Peripheral blood film.
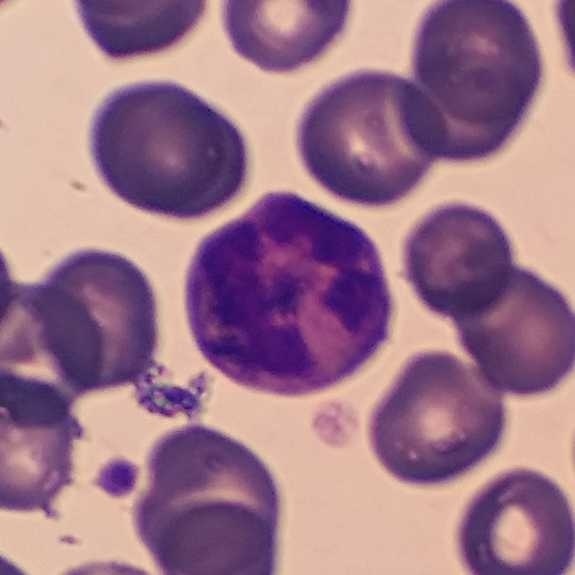{"cell_type": "neutrophilic granulocyte", "lineage": "myeloid"}